Peripheral blood film. Imaged at 100×
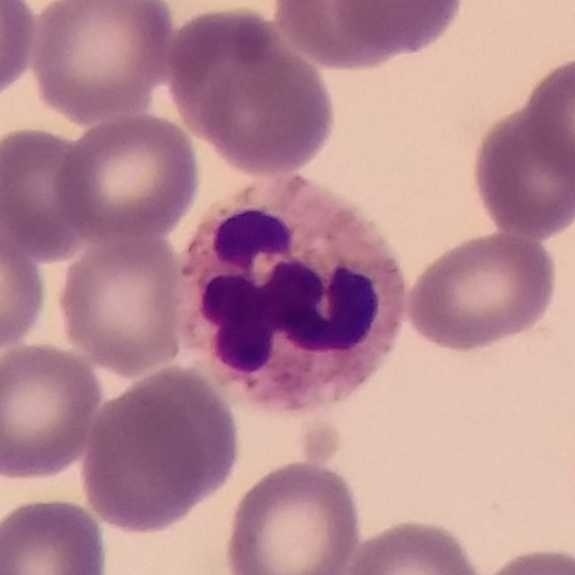
Cell type — neutrophilic granulocyte.